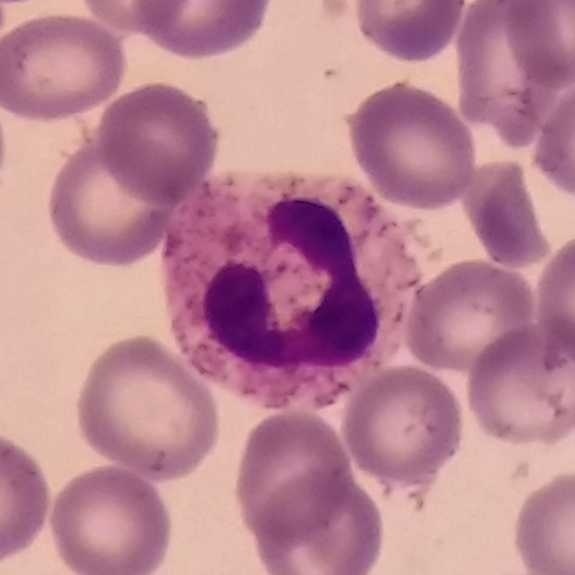Morphology → neutrophil granulocyte.